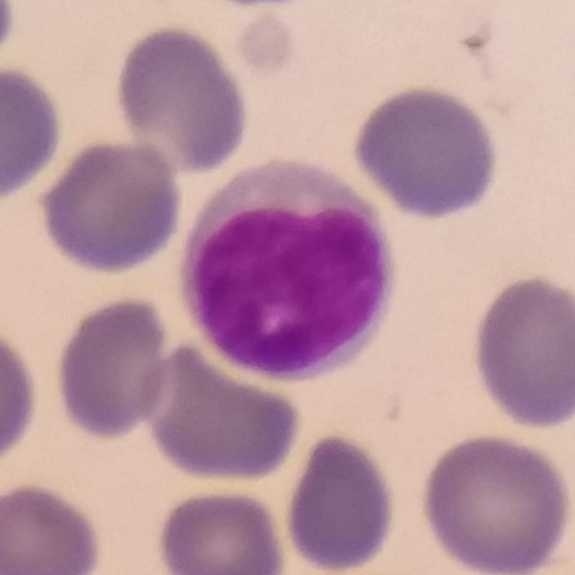 Peripheral blood smear. Cell = lymphocyte.